Peripheral blood smear.
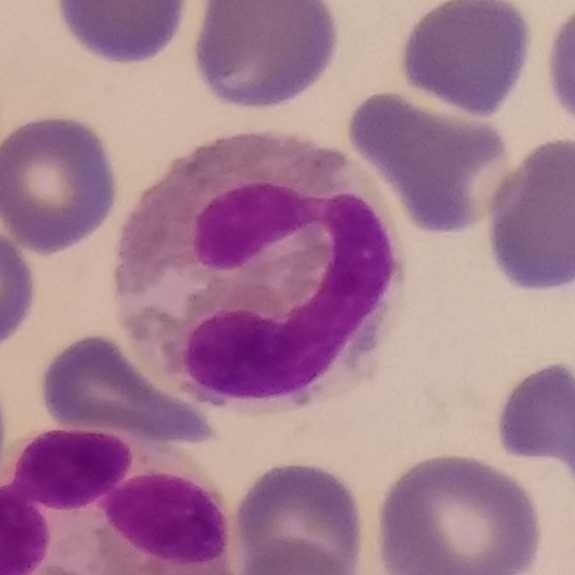

Impression → eosinophilic granulocyte.